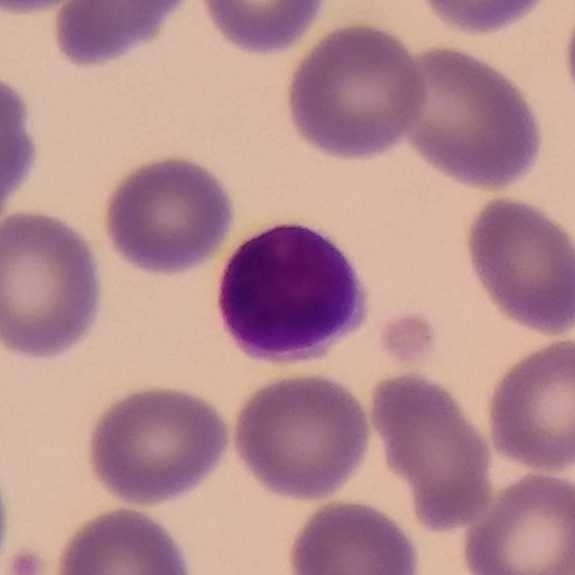Morphological class — lymphocyte. Peripheral blood film. Photographed through a light microscope with a smartphone camera.